Peripheral blood smear: 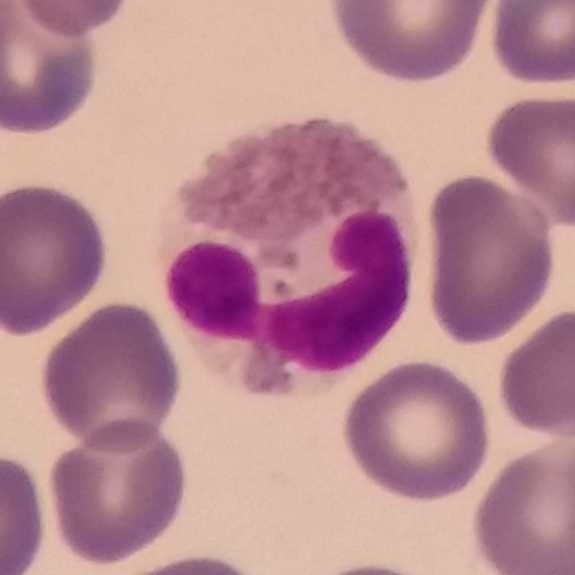
Impression — eosinophilic granulocyte.